Single-cell field · magnification 100× · peripheral blood smear.
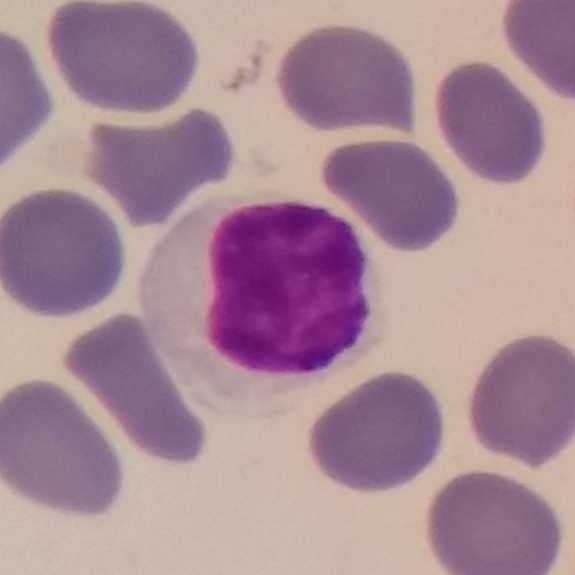

A lymphocyte.